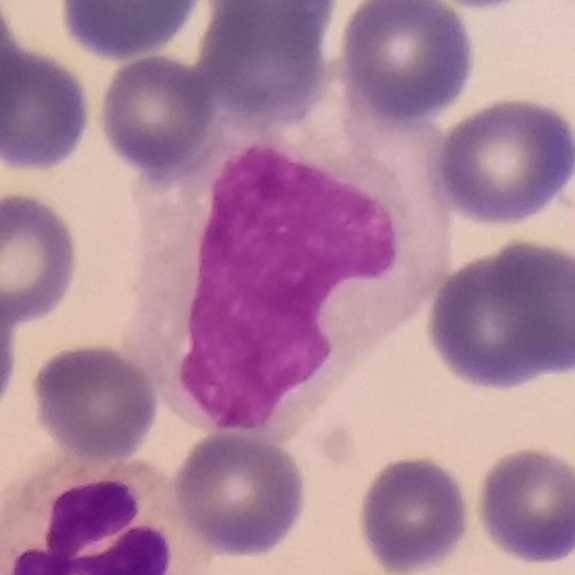
Preparation: Peripheral blood smear.
Cell — monocyte.